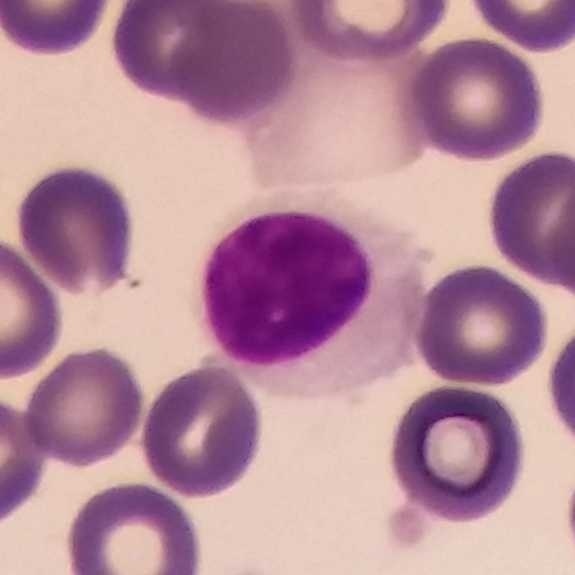
Q: Which type of white blood cell is this?
A: A lymphocyte.